Peripheral blood smear
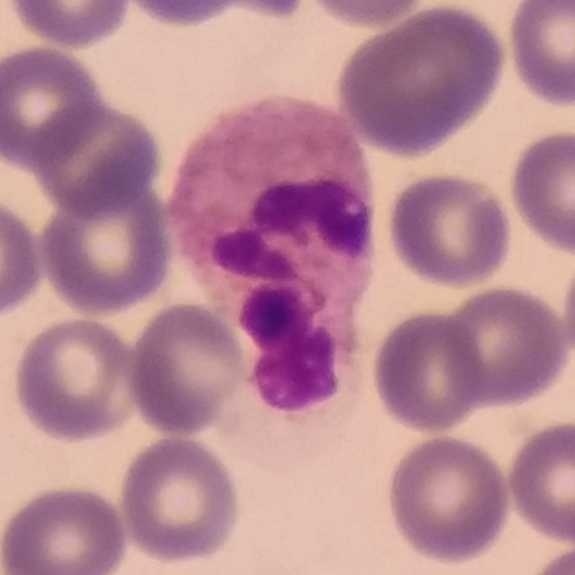The white blood cell in this image is a neutrophil.